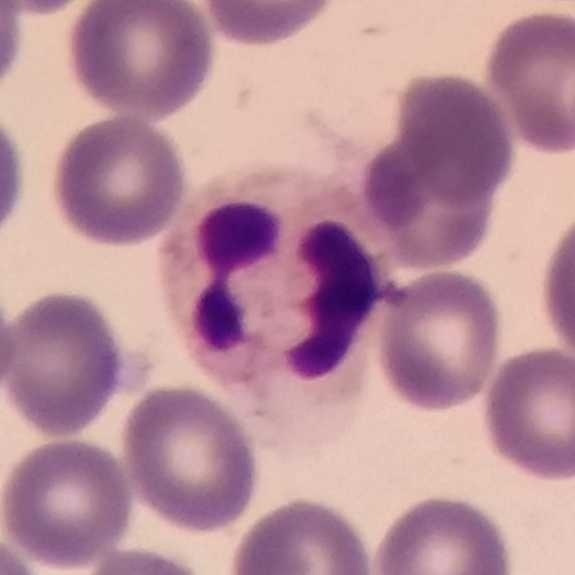 The white blood cell type is neutrophilic granulocyte.